Peripheral blood film: 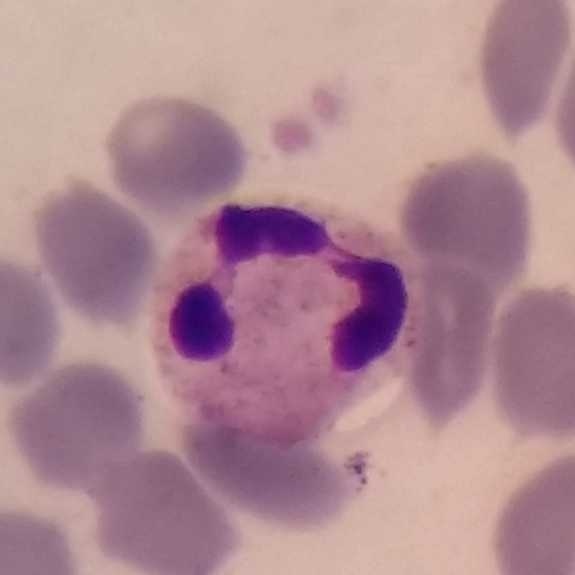 The cell shown is a neutrophil granulocyte.